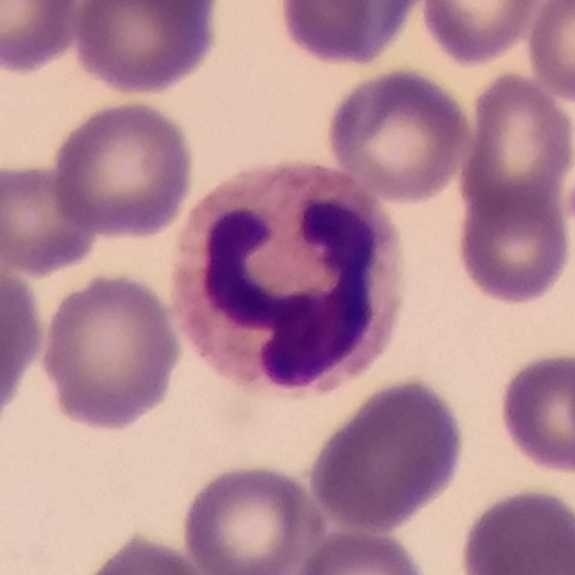

A neutrophil on a peripheral blood smear.